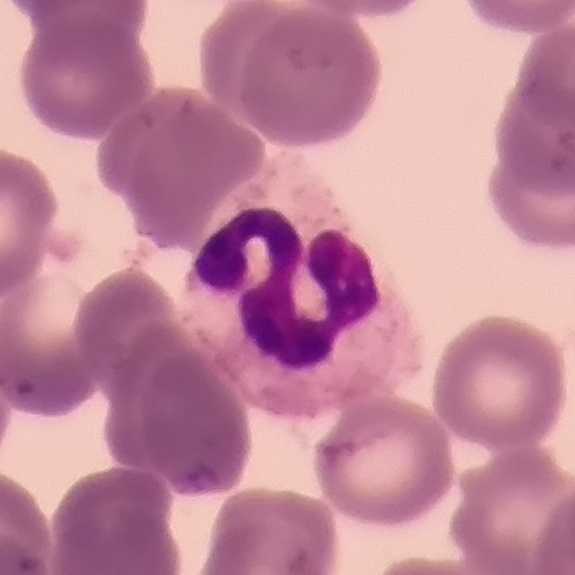
Acquisition: Peripheral blood smear.

Morphology consistent with a neutrophil granulocyte.